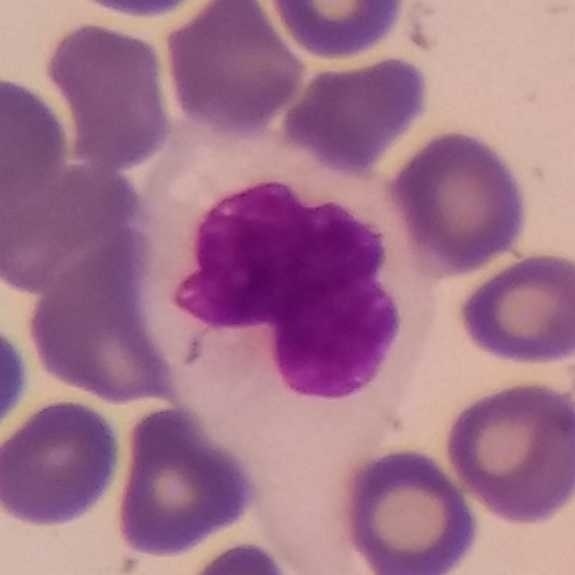

This is a monocyte.